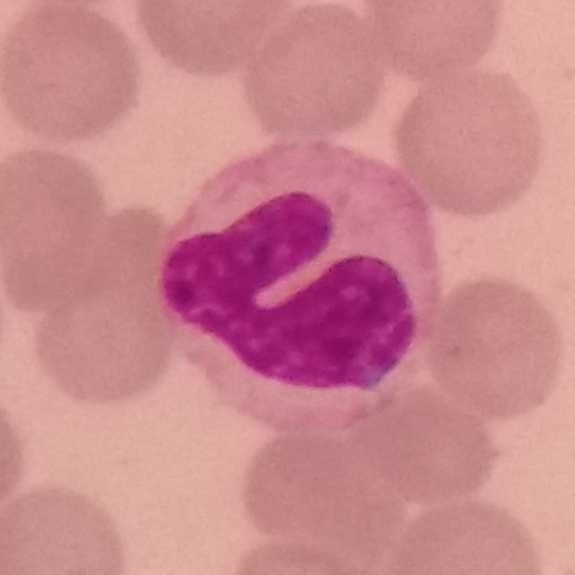

Peripheral blood smear.
Q: Classify this leukocyte.
A: A monocyte.